Peripheral blood film: 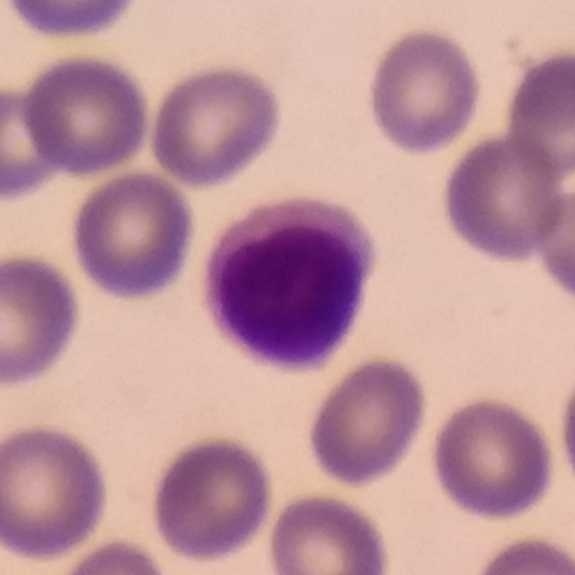
The cell is lymphocyte.